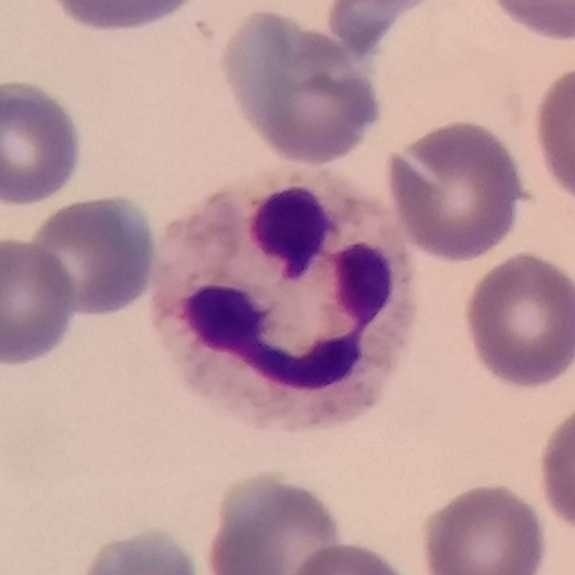Preparation: Peripheral blood smear. Neutrophil granulocyte.